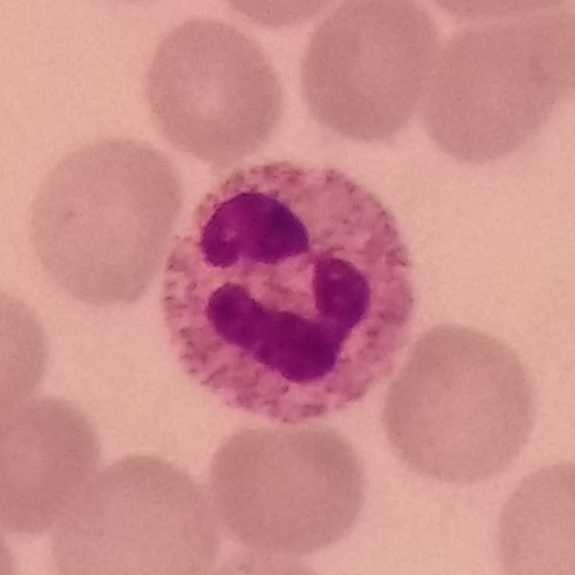 {"cell_type": "neutrophil", "lineage": "myeloid"}